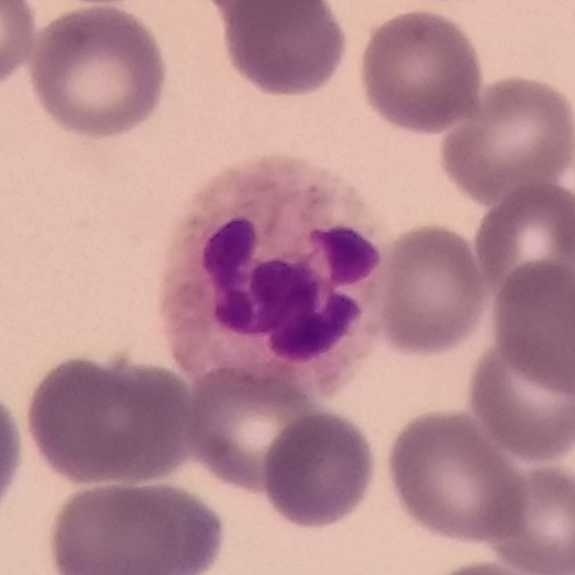 Context: Peripheral blood smear; smartphone photomicrograph; magnification 100×.
Single cell identified as a neutrophilic granulocyte.